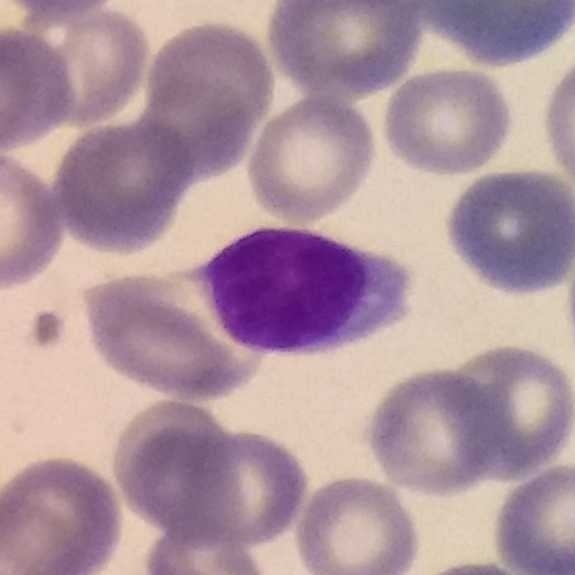
{"cell_type": "lymphocyte", "lineage": "lymphoid"}

Acquisition: Single-cell crop; imaged at 100×; peripheral blood film.